Peripheral blood film · Giemsa stain
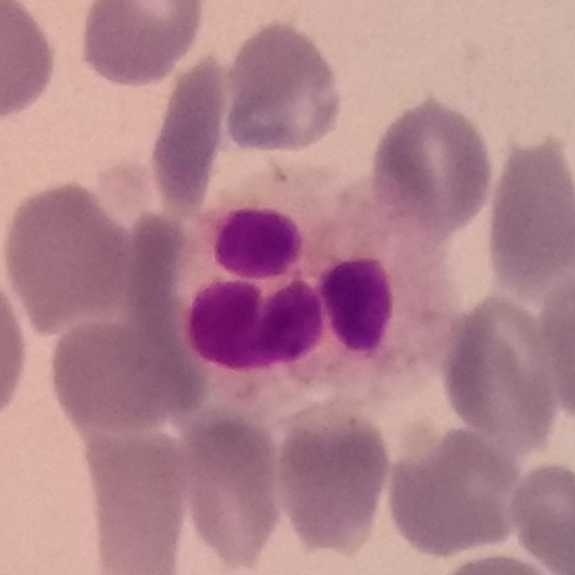

Q: What cell is this?
A: Neutrophilic granulocyte.